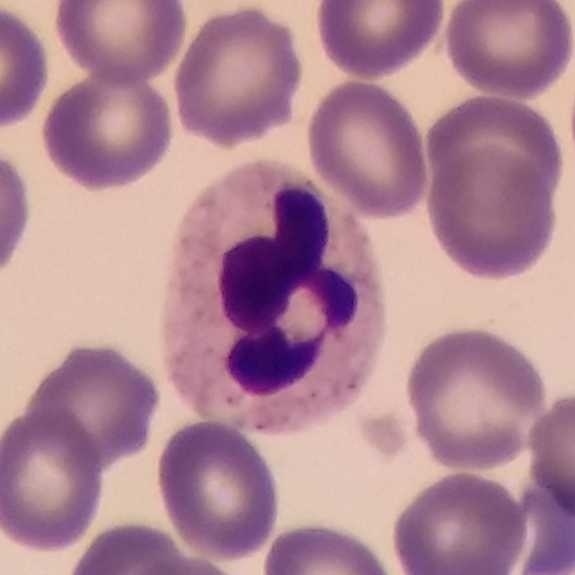
Classification — neutrophilic granulocyte.